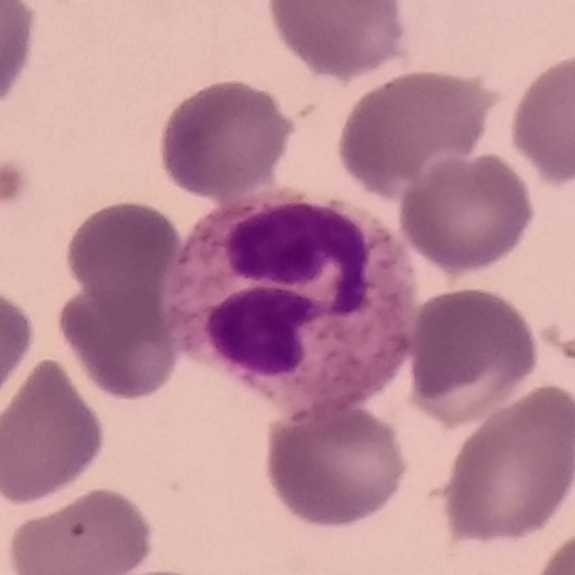

Q: Identify the cell.
A: This is a neutrophil.